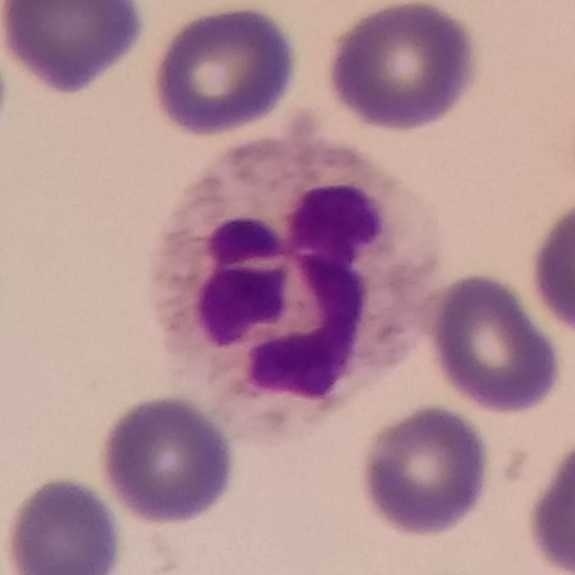

Acquisition: Single-cell field; peripheral blood smear; 100× magnification. Q: What cell is this?
A: This is a neutrophil granulocyte.